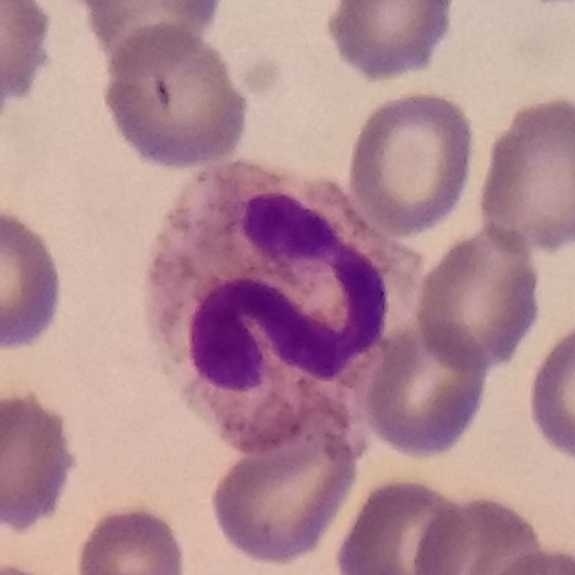

{"cell_type": "neutrophil", "lineage": "myeloid"}

Context: Photographed through a light microscope with a smartphone camera · peripheral blood smear.